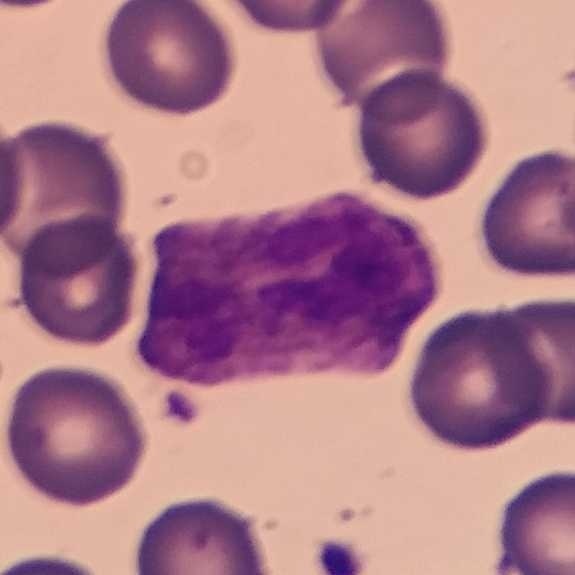
Identified as a neutrophilic granulocyte.